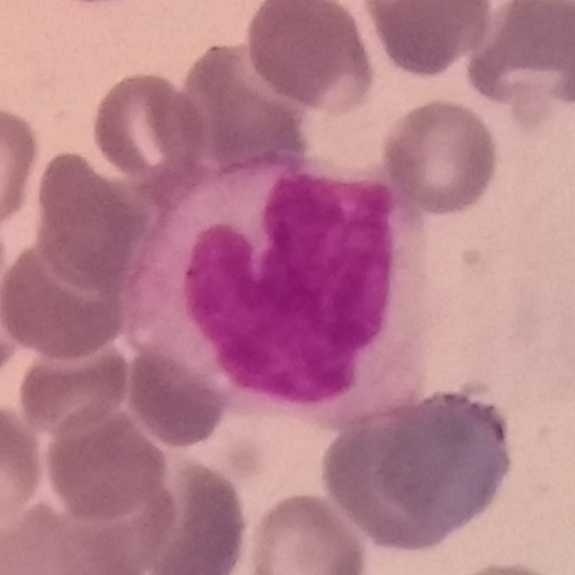 The cell shown is a monocyte.
Context: Single-cell crop. Stained with Giemsa. Peripheral blood smear.